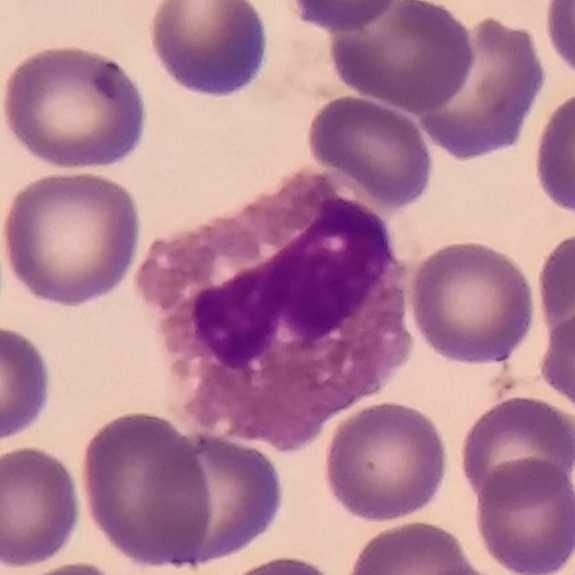

An eosinophilic granulocyte. Context: Peripheral blood film; imaged at 100×.